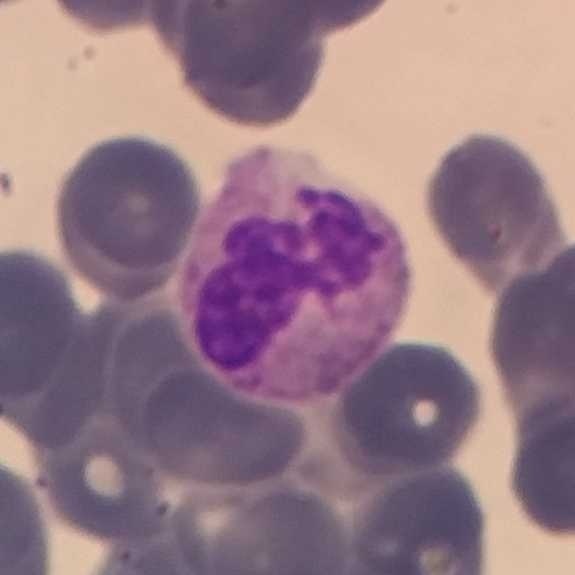Impression — neutrophil.
Context: Cropped to one leukocyte; peripheral blood smear.